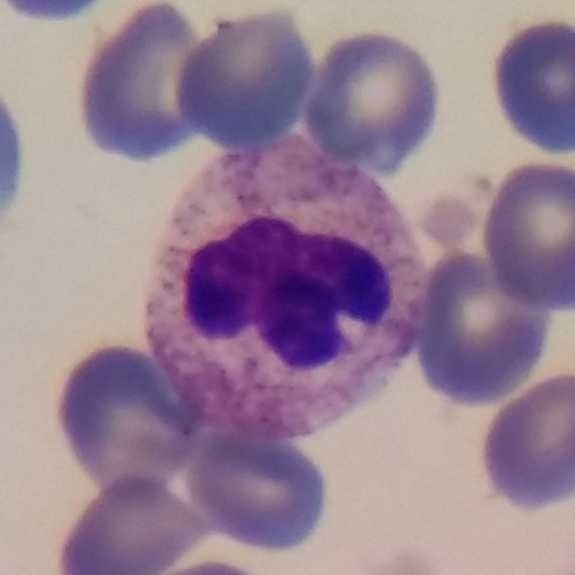
Cell type — neutrophilic granulocyte.
Context: Peripheral blood smear; phone-camera image taken through the microscope ocular.